Peripheral blood film · magnification 100× · 575×575 — 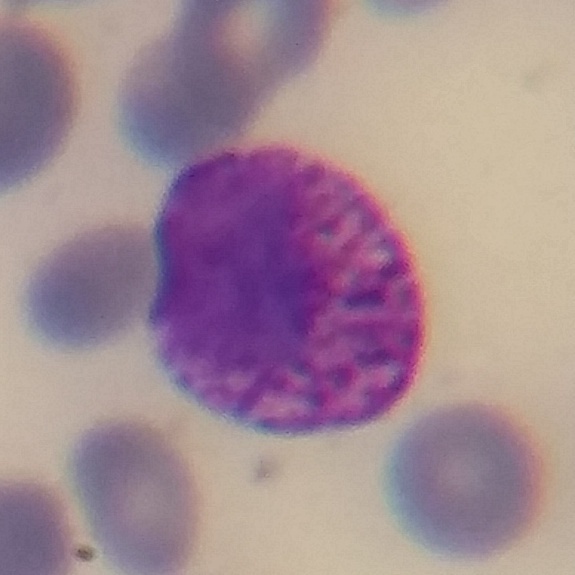{"cell_type": "basophil", "lineage": "myeloid"}